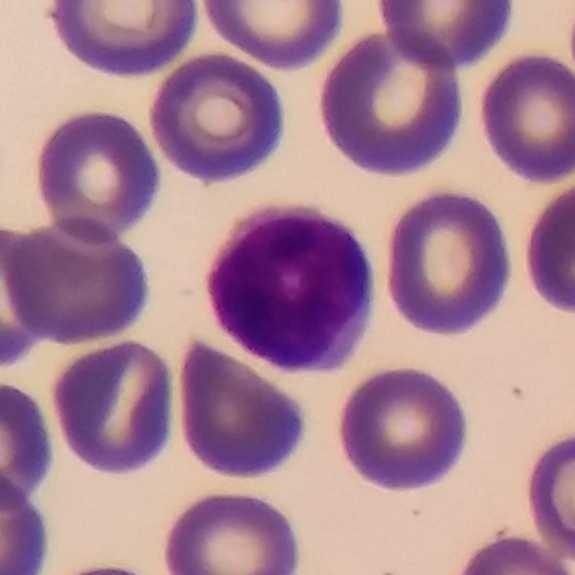Peripheral blood smear showing a lymphocyte.